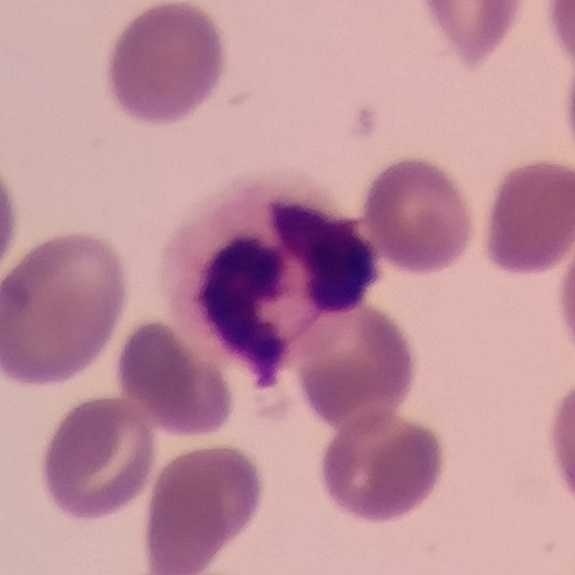 Q: Identify the cell.
A: A neutrophil granulocyte.
Preparation: Peripheral blood smear.